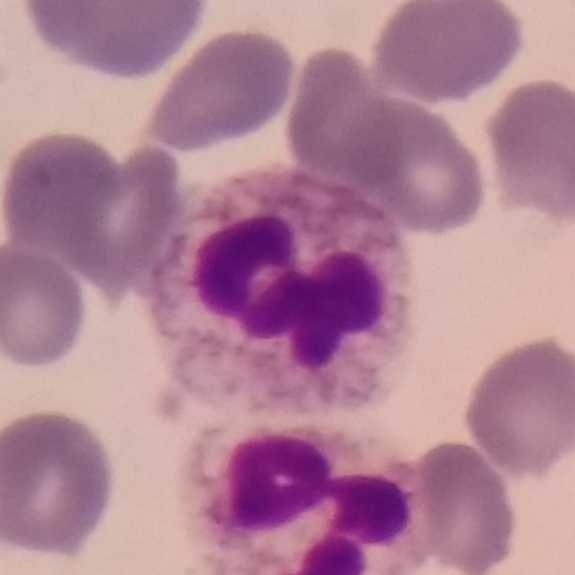
Showing a neutrophilic granulocyte. Image: Peripheral blood film.